Peripheral blood film.
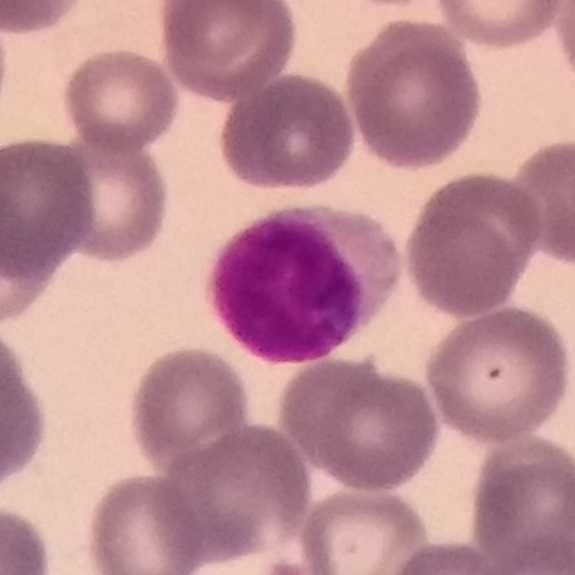The white blood cell in this image is a lymphocyte.